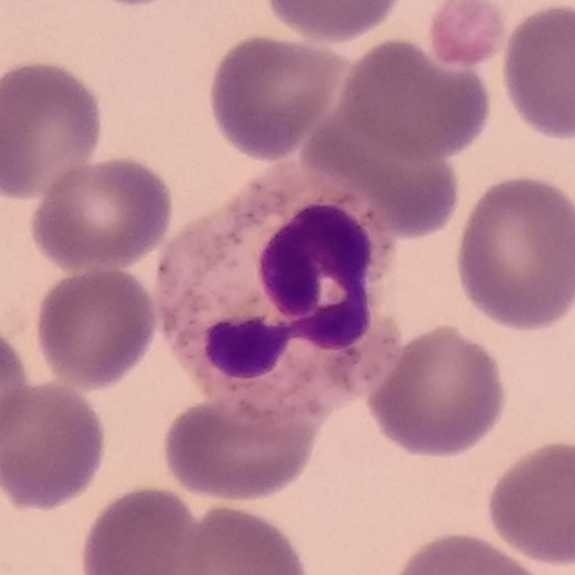

Peripheral blood smear showing a neutrophilic granulocyte.